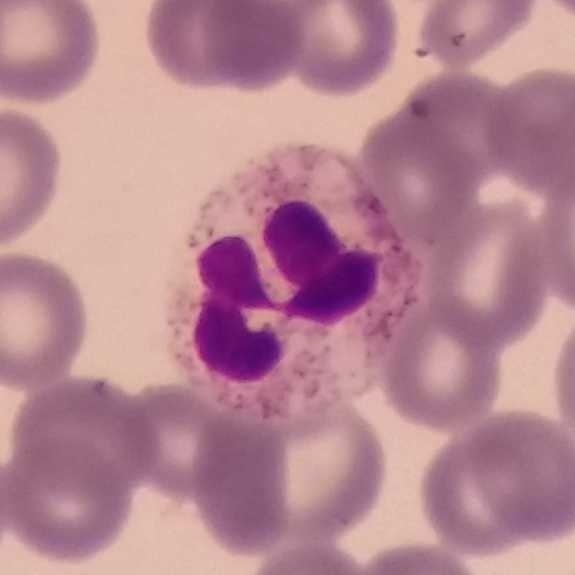

Q: Which type of white blood cell is this?
A: This is a neutrophil granulocyte.

Preparation: Peripheral blood film.